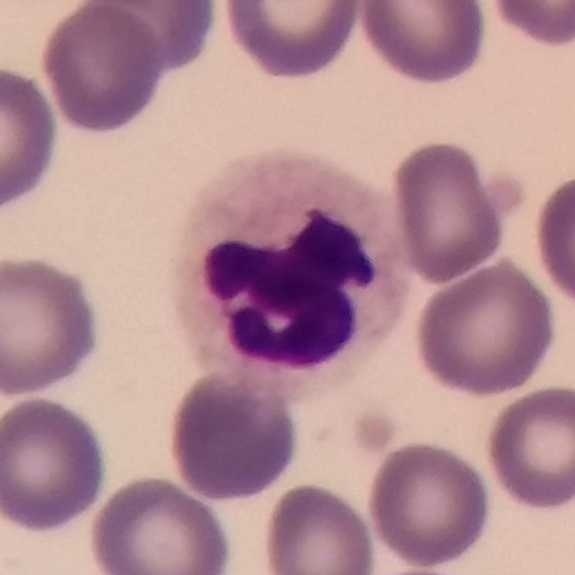Neutrophilic granulocyte.